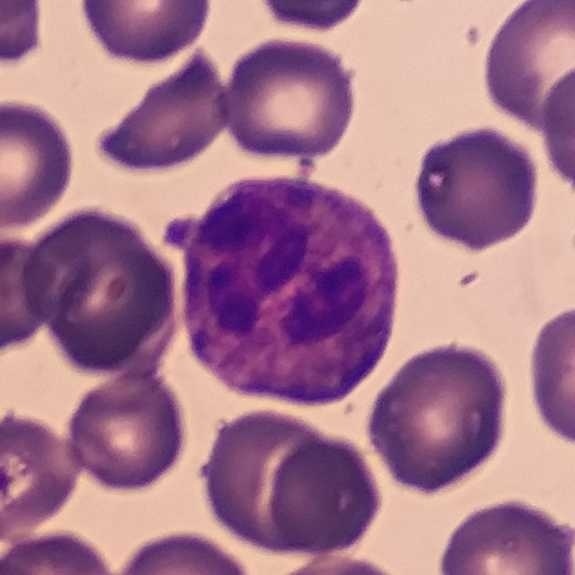 Peripheral blood film. Imaged at 100×. Giemsa-stained.

The white blood cell in this image is a neutrophil.